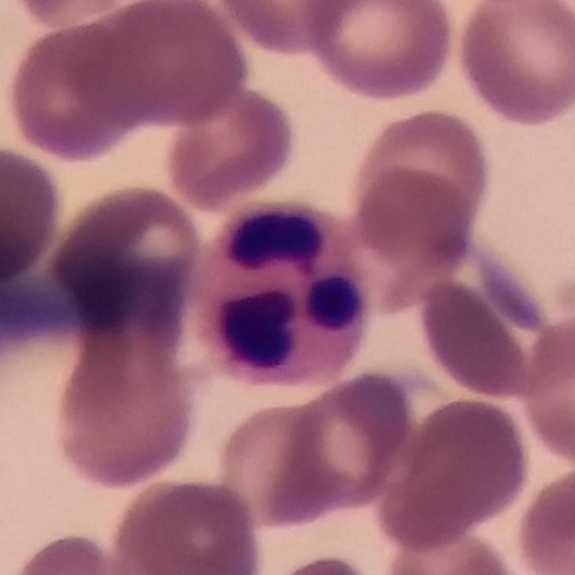

Context: Peripheral blood film.

{"cell_type": "neutrophilic granulocyte", "lineage": "myeloid"}